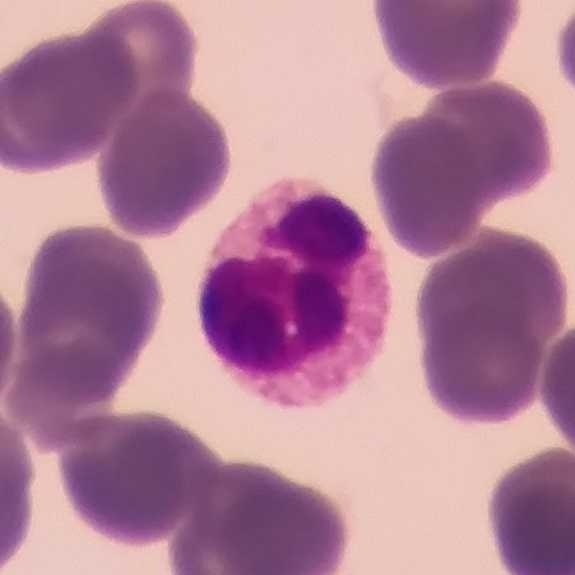The white blood cell in this image is a neutrophilic granulocyte.
Acquisition: Peripheral blood smear.